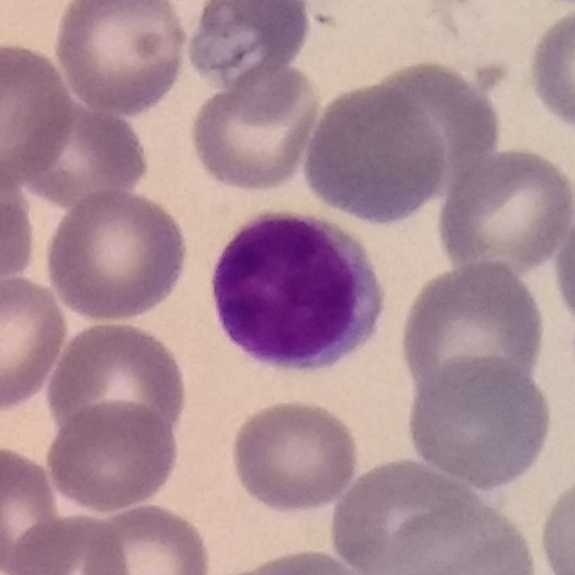

Lymphocyte.